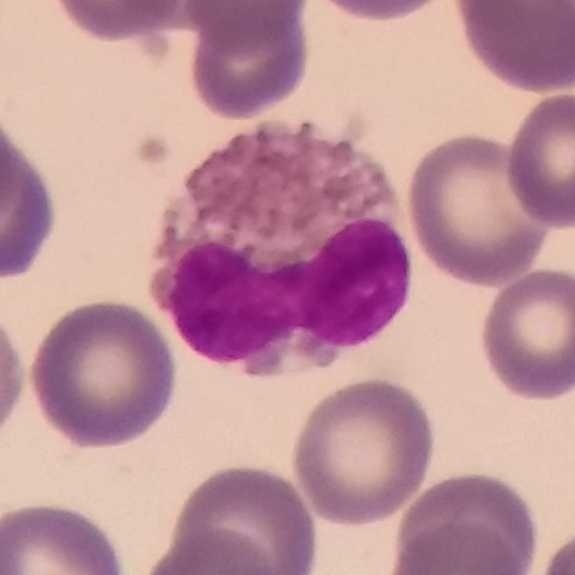{"cell_type": "eosinophil", "lineage": "myeloid"}